Single-cell crop; peripheral blood smear:
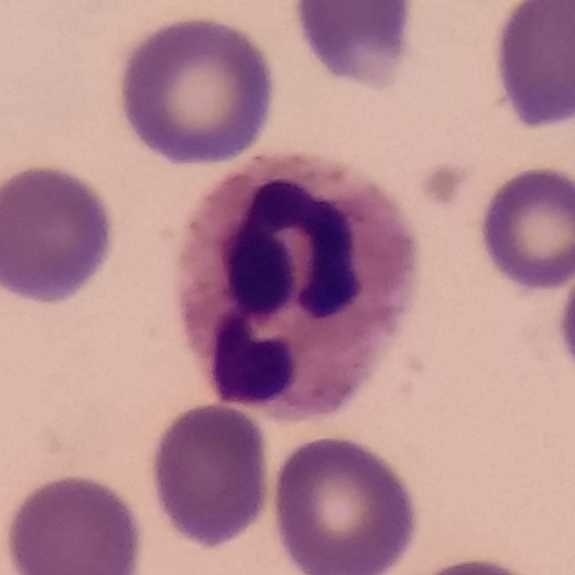
{"cell_type": "neutrophilic granulocyte", "lineage": "myeloid"}